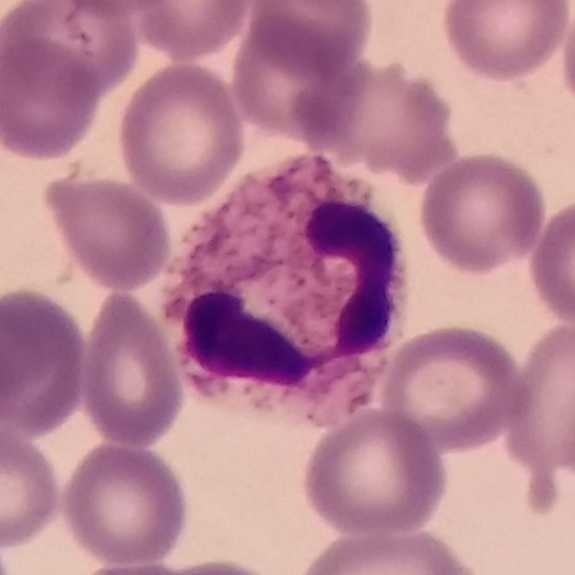 Preparation: Peripheral blood film · single white blood cell cropped from the smear photograph · 575 by 575 pixels.
Q: Which cell type is shown here?
A: This is a neutrophil.